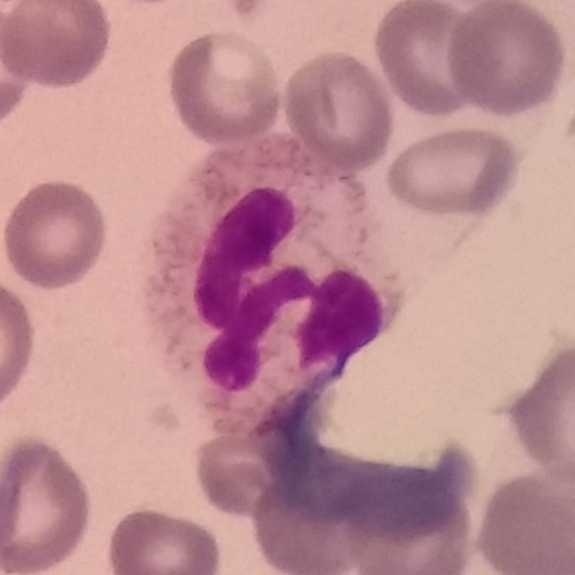Classification — neutrophil granulocyte. Acquisition: Peripheral blood smear.